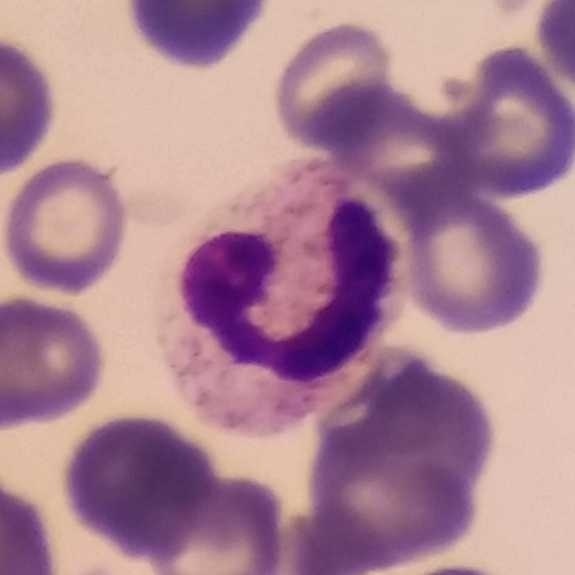

Morphology consistent with a neutrophil.
Context: Peripheral blood smear. Magnification 100×.